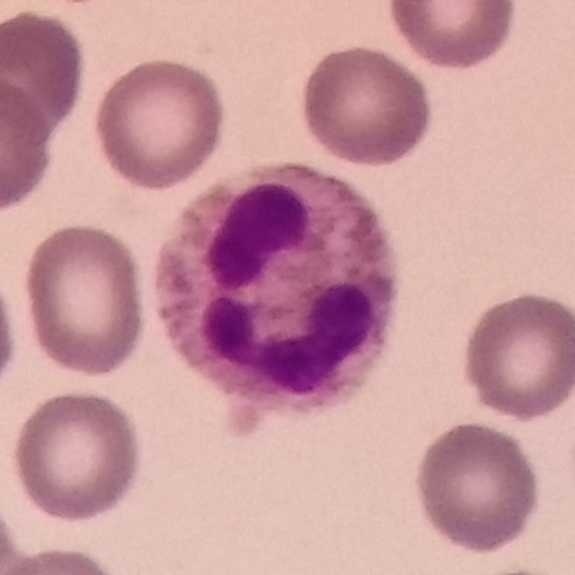Preparation: Peripheral blood smear.

Neutrophil granulocyte.